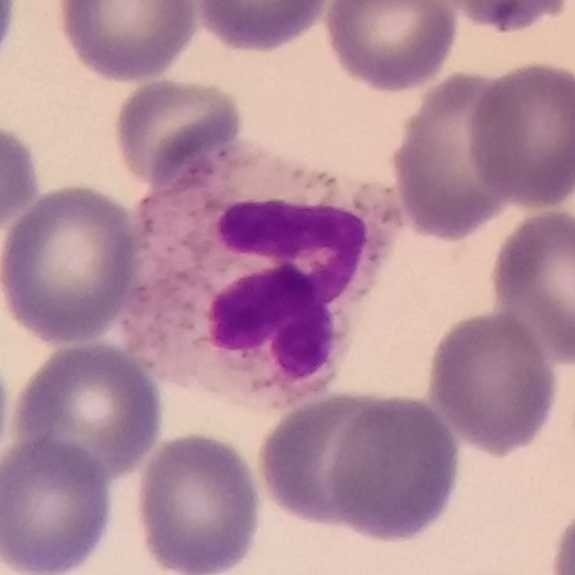

White blood cell from a peripheral blood smear: neutrophilic granulocyte.